Peripheral blood film — 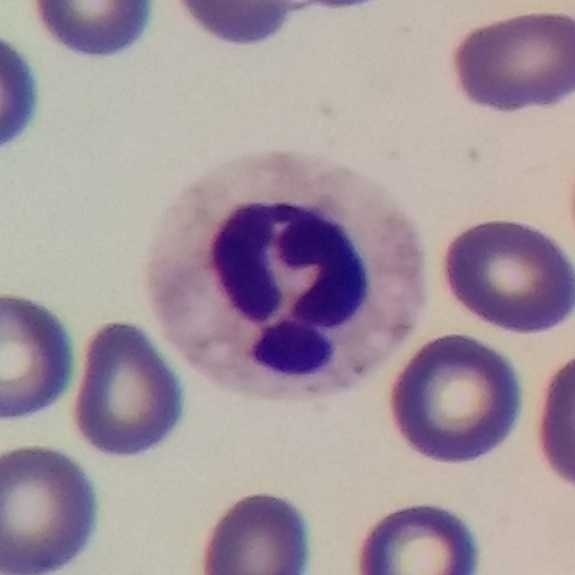{"cell_type": "neutrophil granulocyte"}